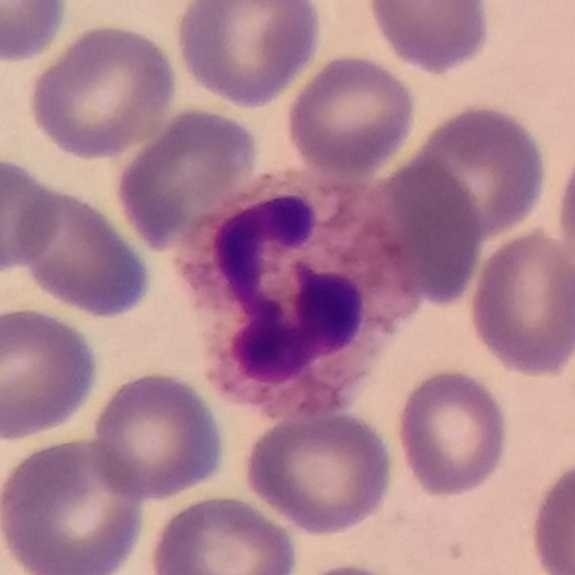A neutrophilic granulocyte.
Peripheral blood smear.